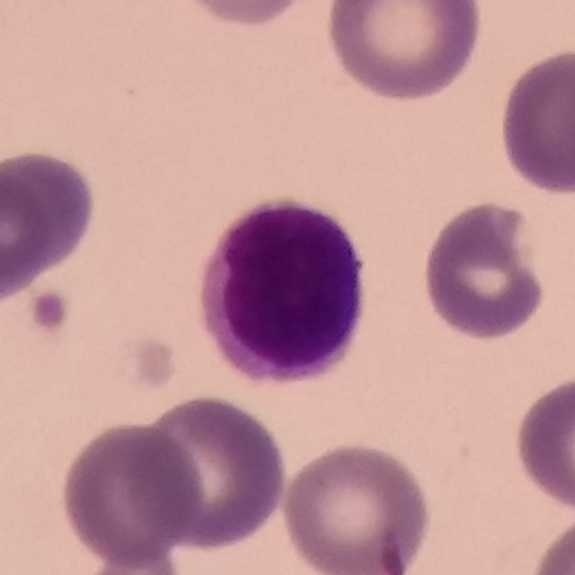
White blood cell from a peripheral blood smear: lymphocyte.